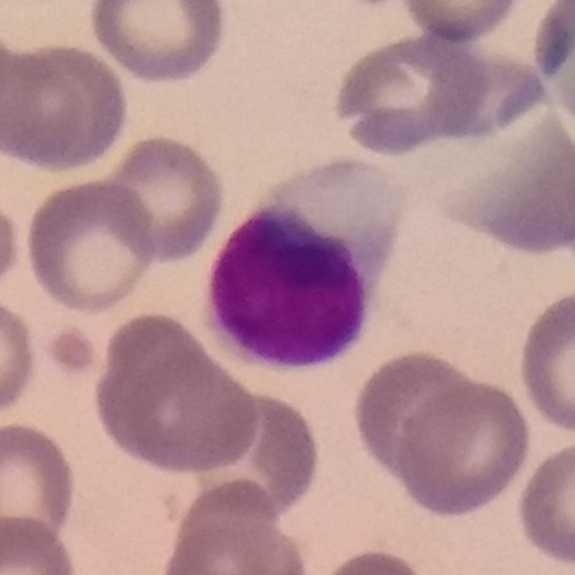
Peripheral blood film; 100× magnification.

Q: What cell is this?
A: This is a lymphocyte.